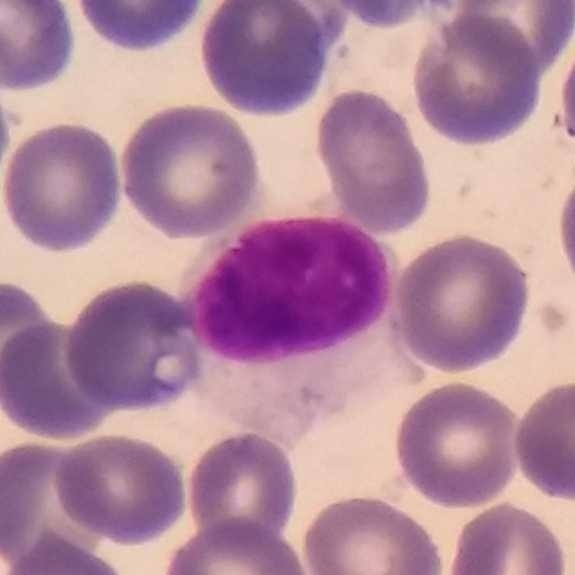 This is a lymphocyte.